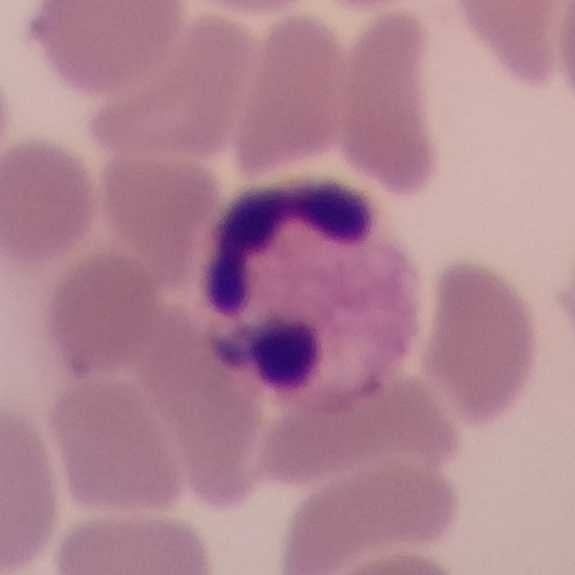Single cell identified as a neutrophil. Context: Single white blood cell cropped from the smear photograph; peripheral blood smear.